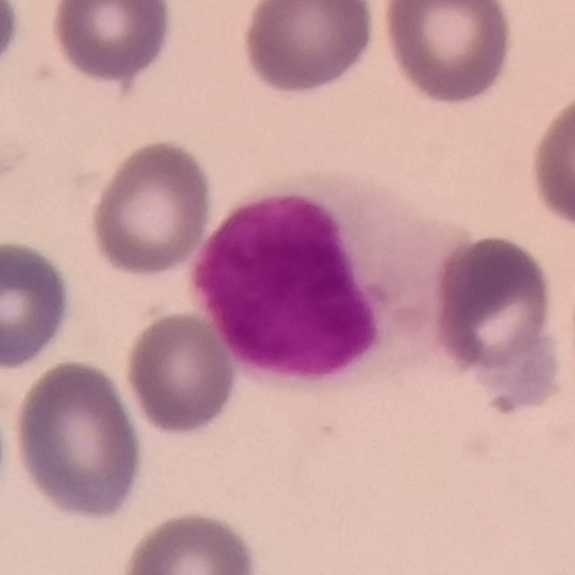Specimen: peripheral blood smear.
Morphological class: lymphocyte.